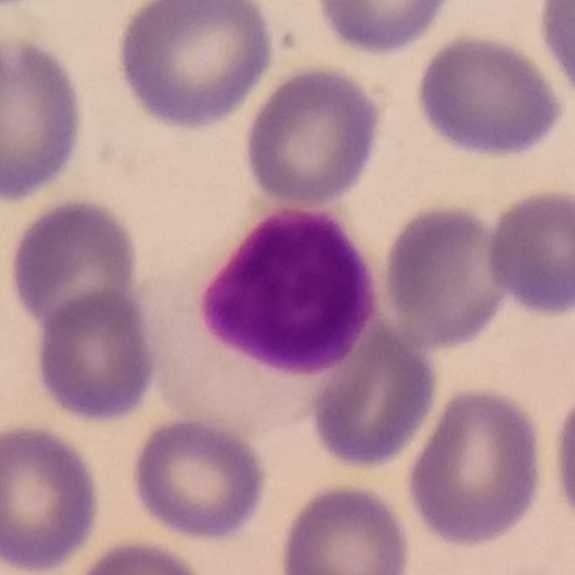 Context: 575 by 575 pixels · peripheral blood film.
{"cell_type": "lymphocyte", "lineage": "lymphoid"}